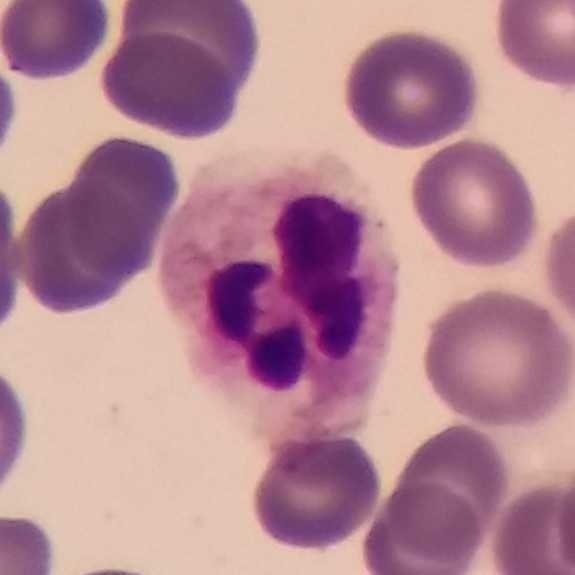

Single-cell crop from a peripheral blood smear: neutrophil.